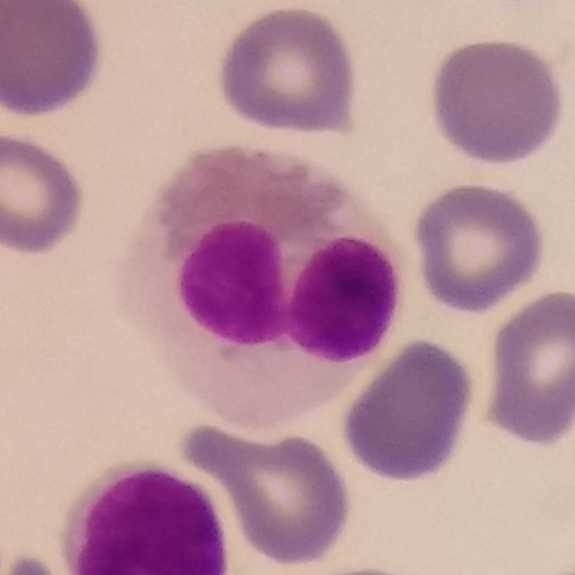
Peripheral blood smear; cropped to one leukocyte.

Morphology → eosinophil.